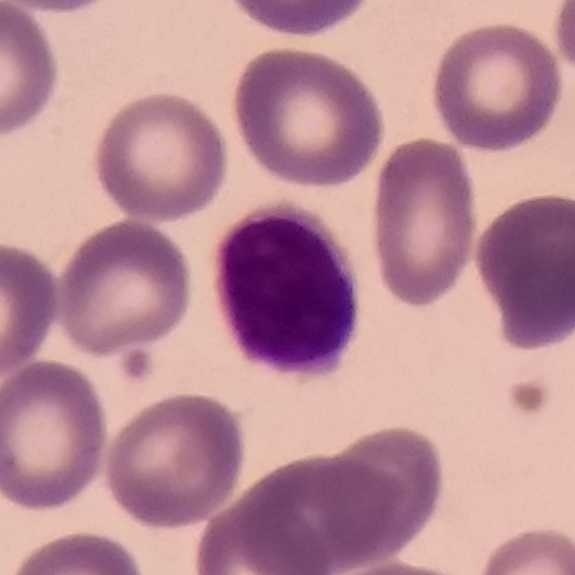

The cell shown is a lymphocyte. Single white blood cell cropped from the smear photograph · peripheral blood smear.